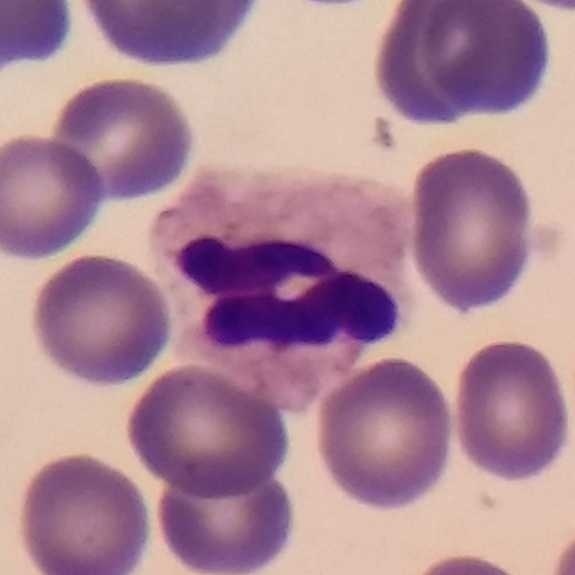

Context: Stained with Giemsa; peripheral blood smear.

Q: What is shown here?
A: It is a neutrophilic granulocyte.